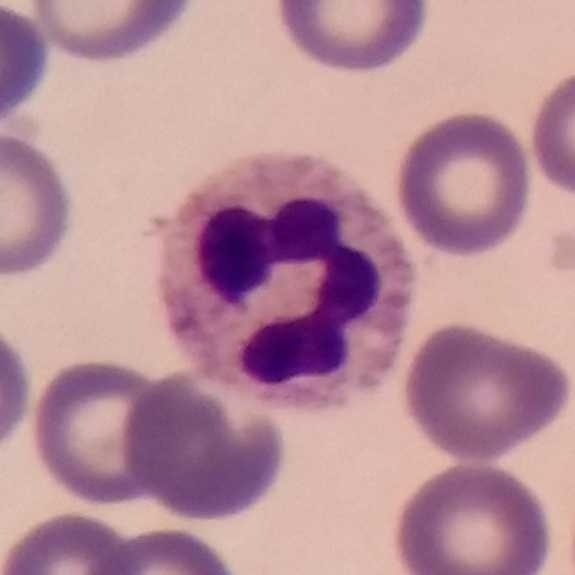 The cell type is neutrophil granulocyte.